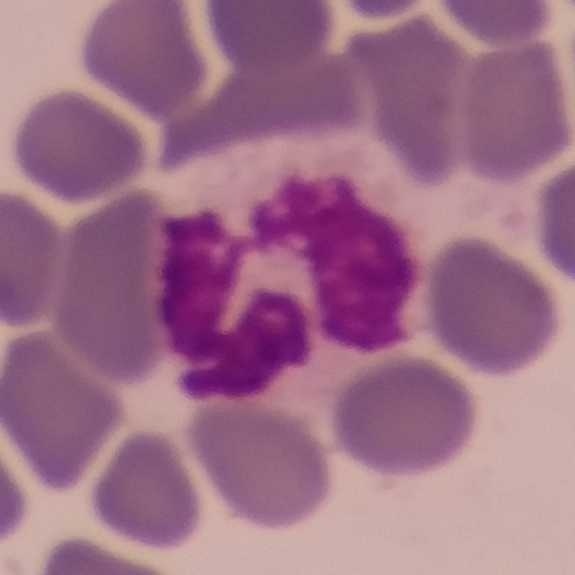

Preparation: Cropped to one leukocyte · peripheral blood film · 575 by 575 pixels.
The cell shown is a neutrophilic granulocyte.